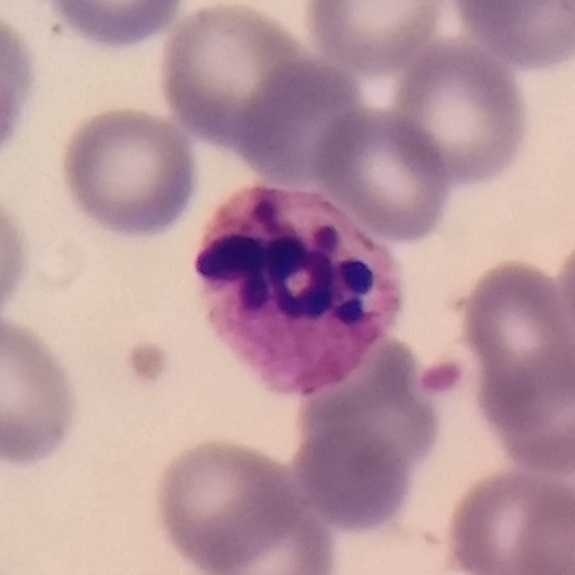 Specimen: peripheral blood film.
Morphological class: neutrophil.
Lineage: myeloid.